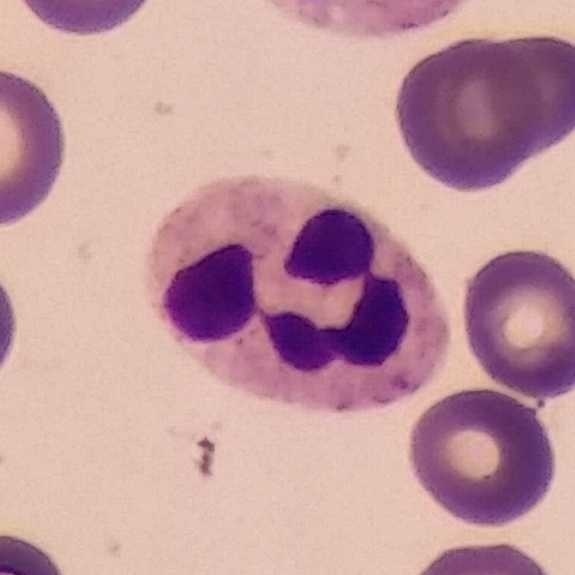
This is a neutrophilic granulocyte. Preparation: Peripheral blood film.